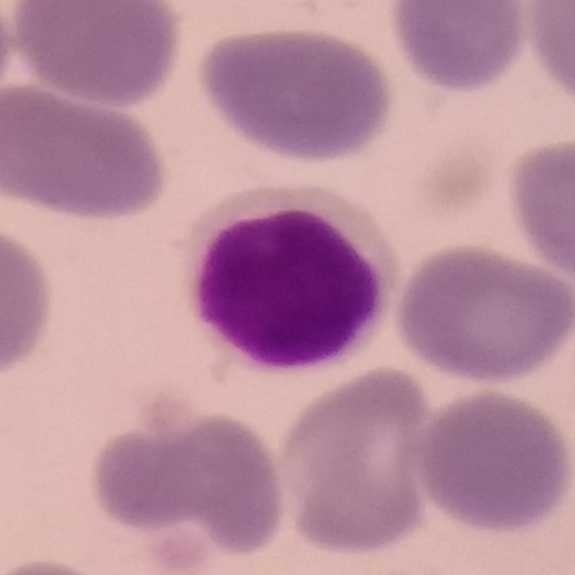

Q: What is the morphological classification of this cell?
A: It is a lymphocyte. Single-cell crop · peripheral blood film · image size 575×575.